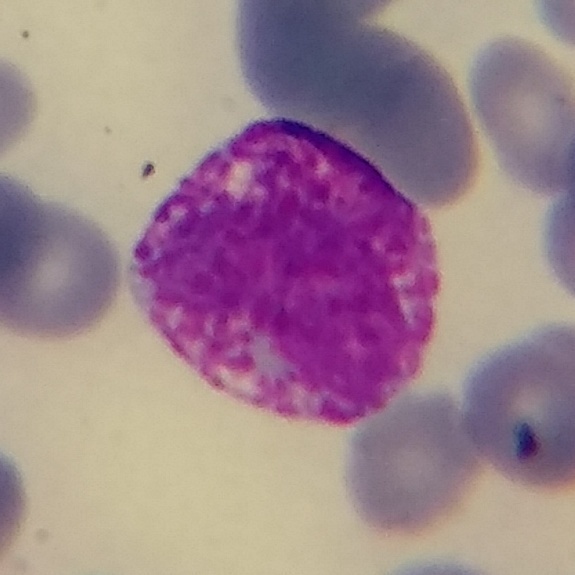 Specimen: peripheral blood film.
White blood cell type: basophilic granulocyte. Preparation: Giemsa-stained.